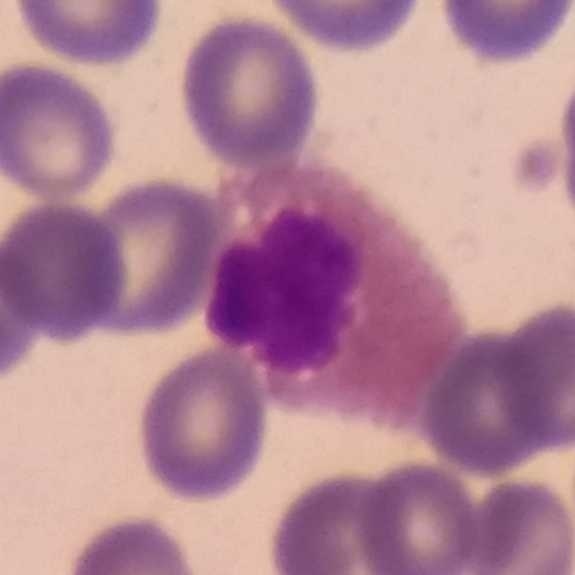 Peripheral blood film.
Morphological class = eosinophil.